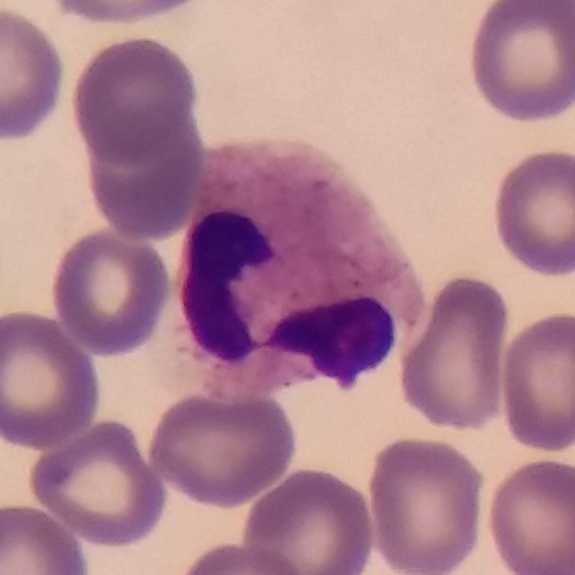 Impression → neutrophil granulocyte.